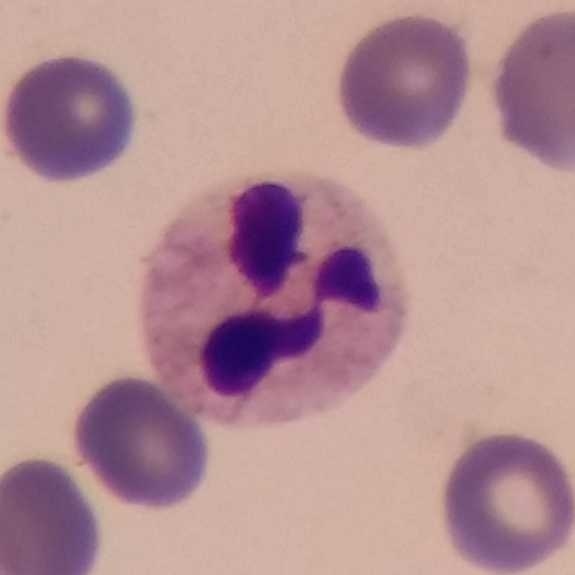Single cell identified as a neutrophilic granulocyte.